Peripheral blood smear: 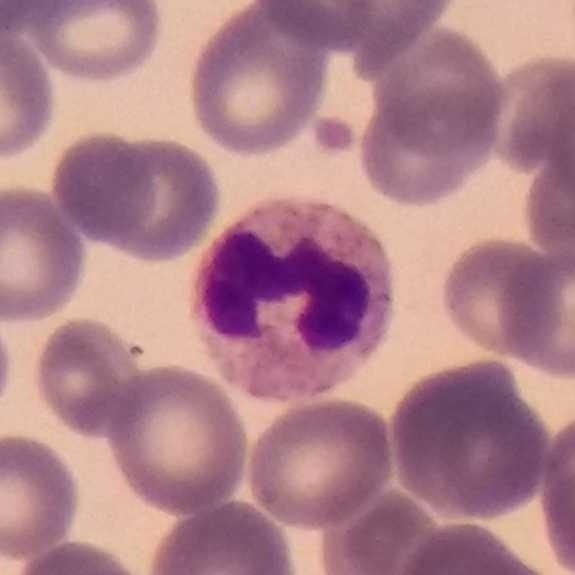
Cell = neutrophilic granulocyte.